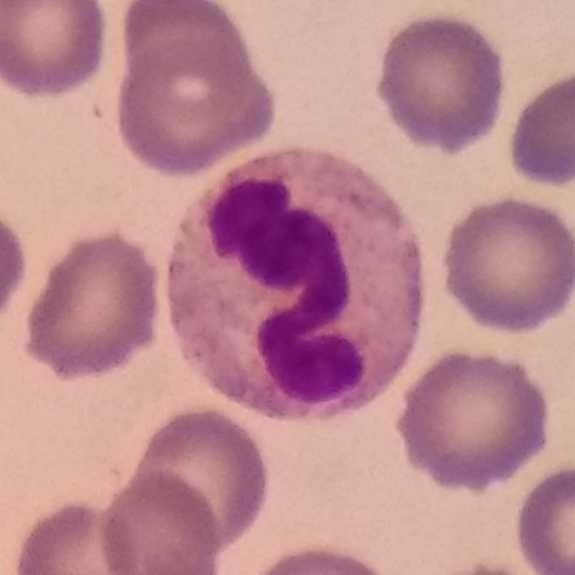 Single cell identified as a neutrophilic granulocyte.

Image: Magnification 100×. Giemsa-stained. Peripheral blood smear.